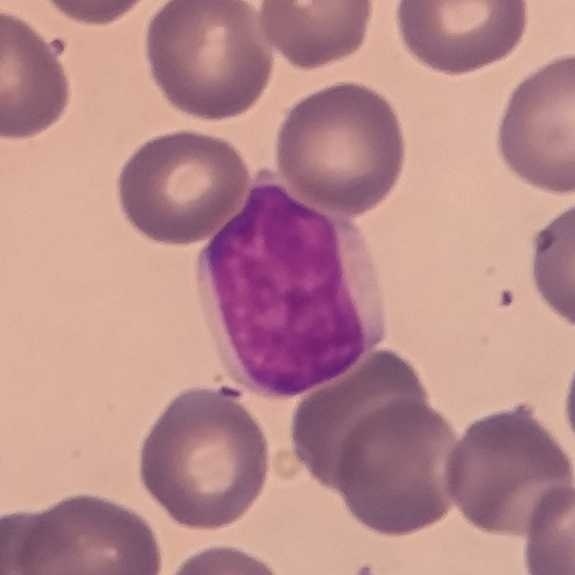 Morphology — lymphocyte.